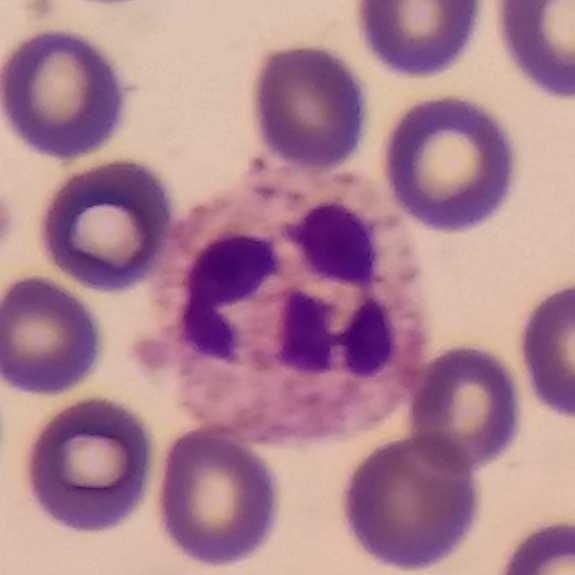

A neutrophilic granulocyte.